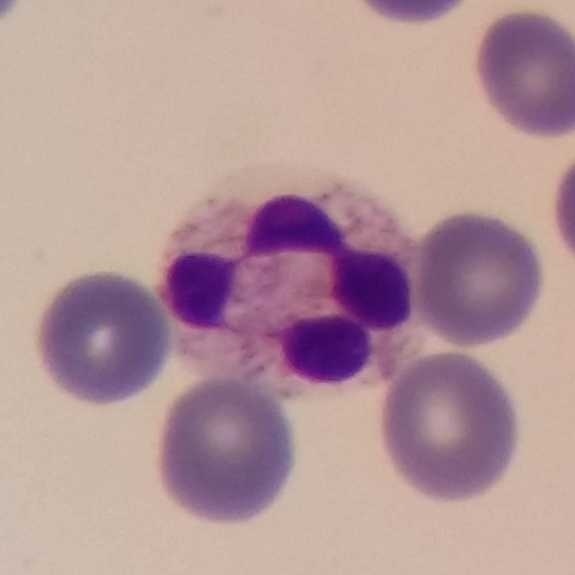
A neutrophilic granulocyte.